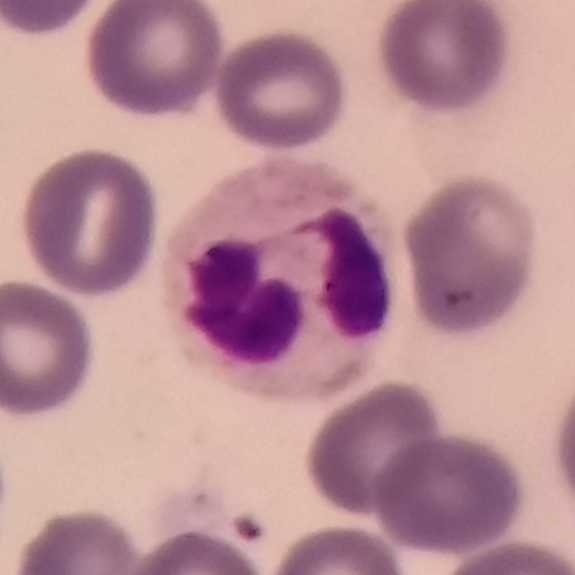

Q: What is this?
A: This is a neutrophil.